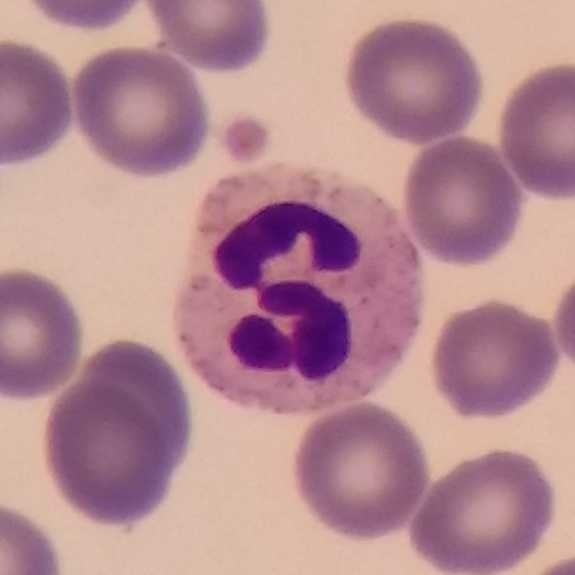 Photographed through a light microscope with a smartphone camera · peripheral blood smear · single-cell field.
Morphological class: neutrophil.